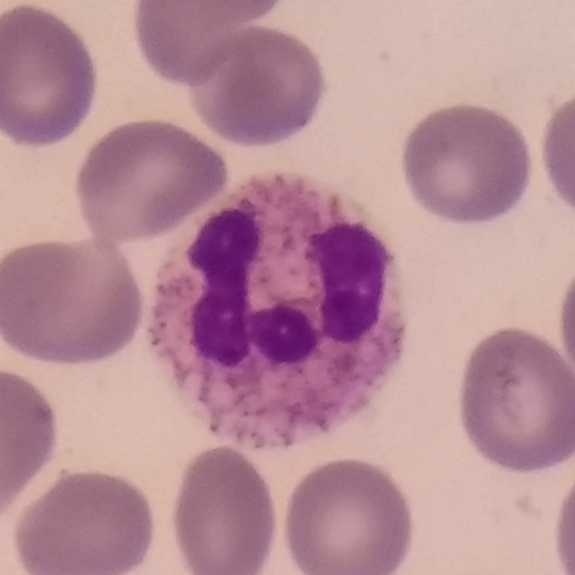Context: 575 by 575 pixels. Stained with Giemsa. Specimen: peripheral blood smear.
Cell type: neutrophilic granulocyte.